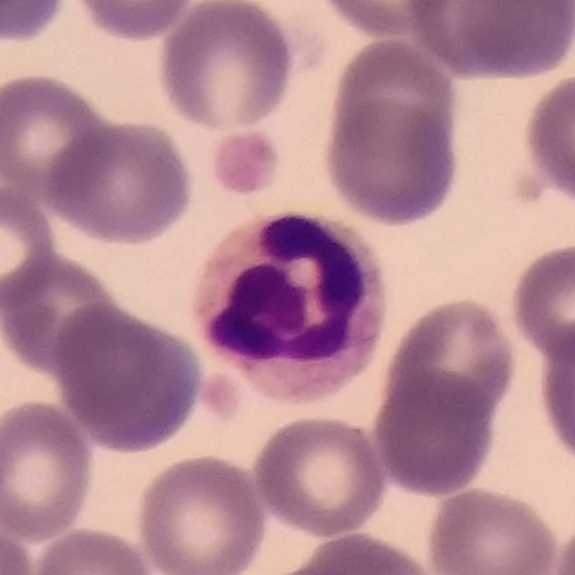
Q: Which type of white blood cell is this?
A: Neutrophil.